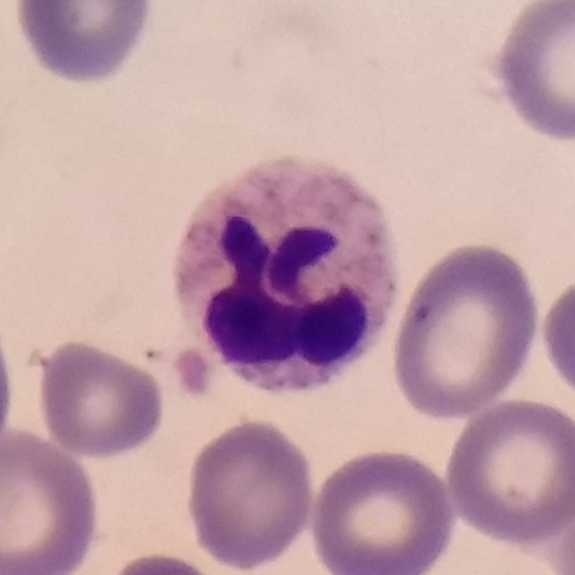
{"cell_type": "neutrophil", "lineage": "myeloid"}